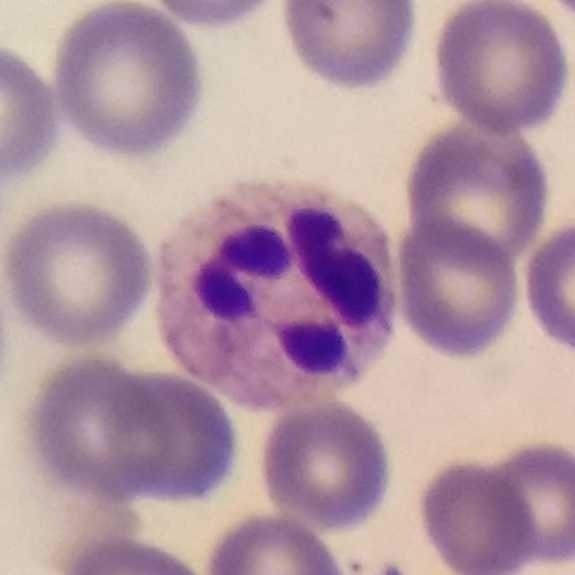
Neutrophil.
Peripheral blood film. Stained with Giemsa.